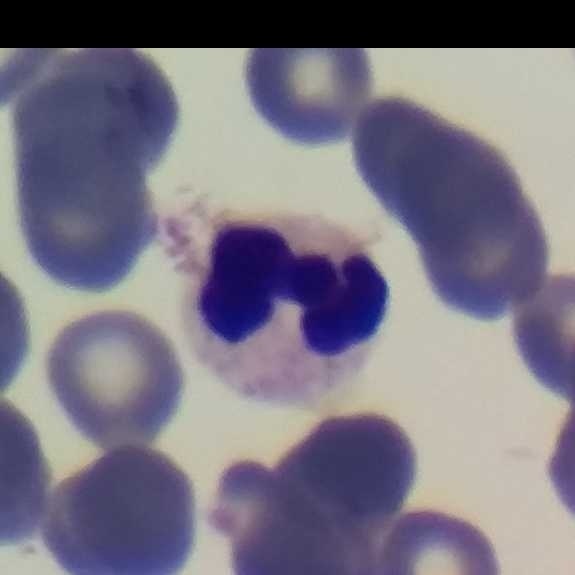
Giemsa-stained. Peripheral blood film. Phone-camera image taken through the microscope ocular. Single cell identified as a neutrophil.